Peripheral blood film; single-cell crop:
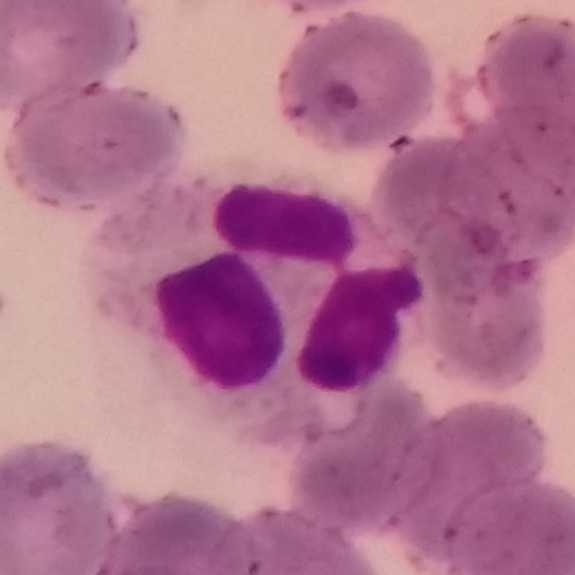
The white blood cell type is neutrophil.